Peripheral blood film.
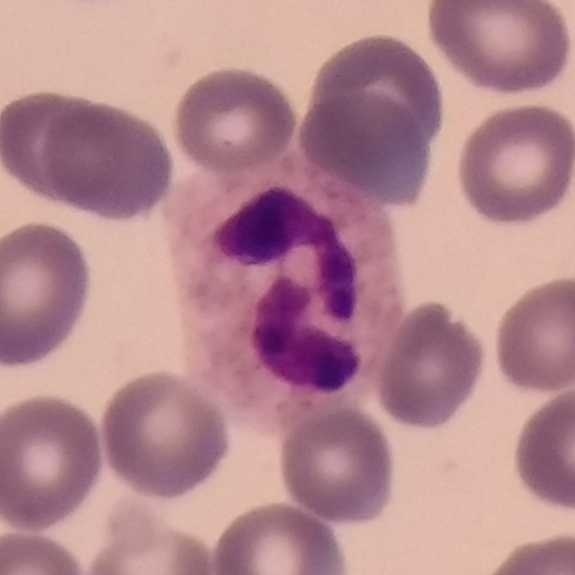

The white blood cell in this image is a neutrophil.